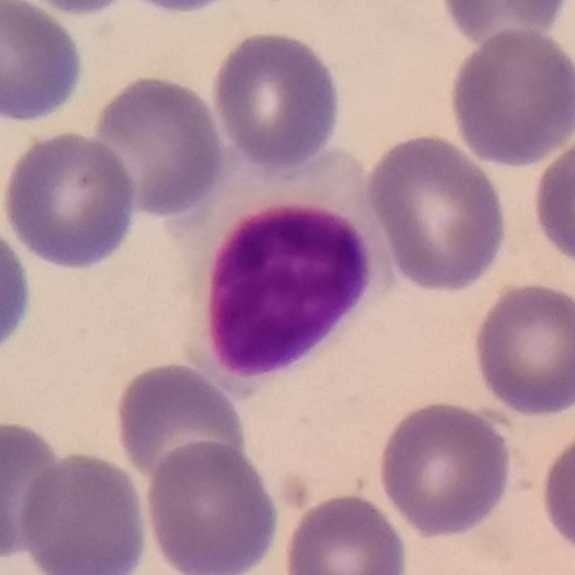Preparation: Peripheral blood smear.

Lymphocyte.